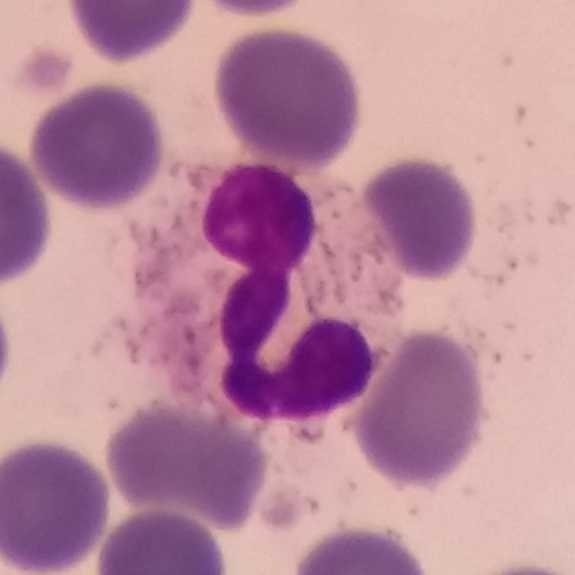

Impression → neutrophil granulocyte.